Smartphone photomicrograph · Giemsa-stained · peripheral blood film
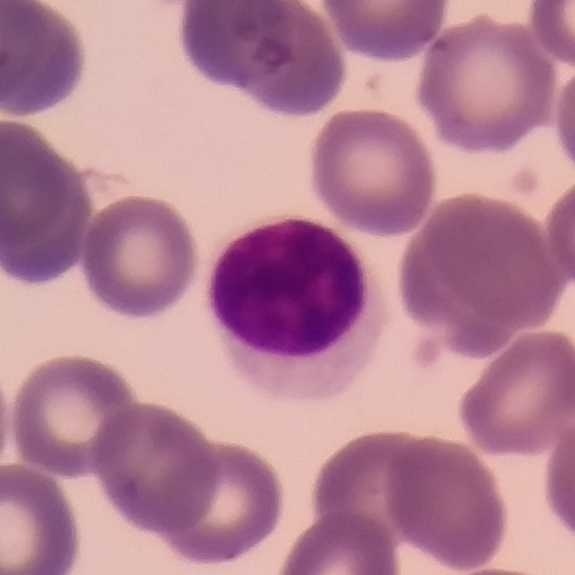 Morphological class: lymphocyte.